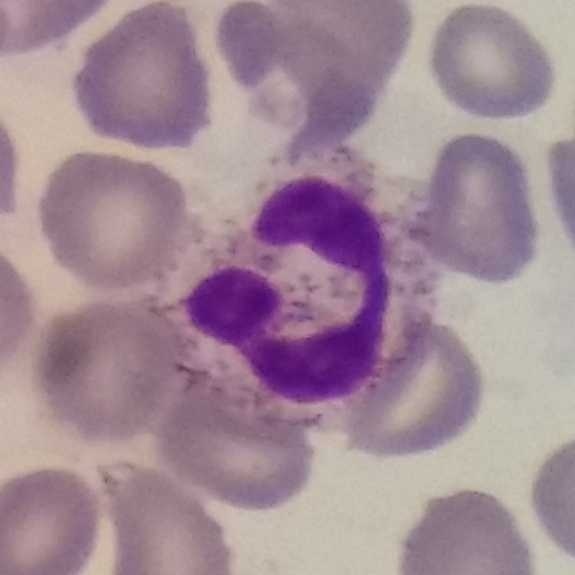
Q: Identify the cell.
A: Neutrophil granulocyte. Peripheral blood film.